Single-cell crop · phone-camera image taken through the microscope ocular · peripheral blood film: 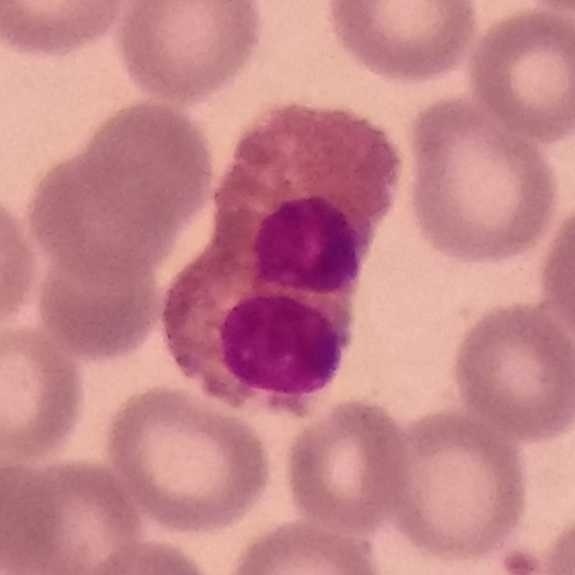Q: Identify the cell.
A: Eosinophil.